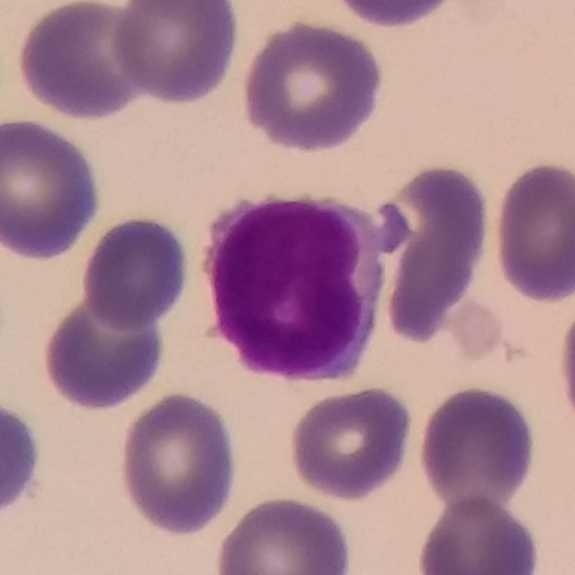 Specimen: peripheral blood film.
Cell: lymphocyte.
Lineage: lymphoid.